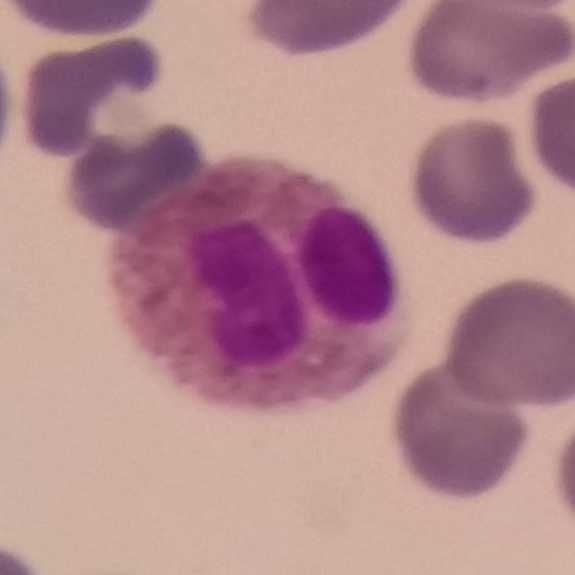Identified as an eosinophilic granulocyte.

Context: Imaged at 100×; peripheral blood smear; image size 575×575.